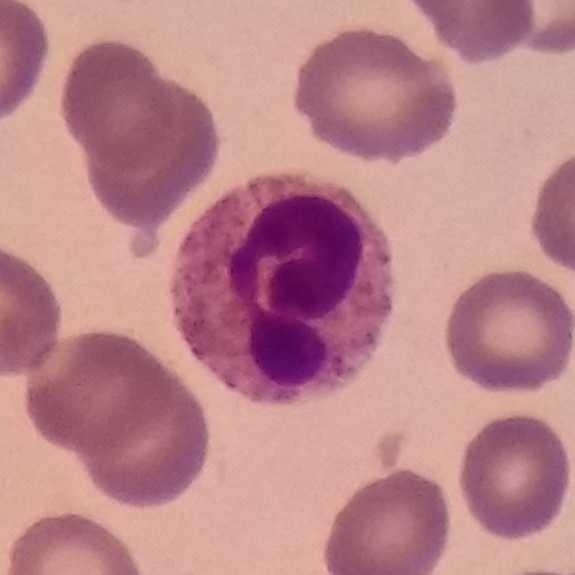Peripheral blood film. Identified as a neutrophil.